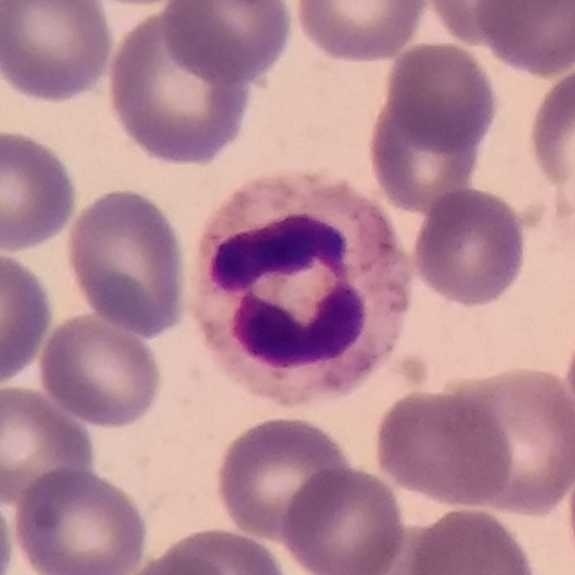 This is a neutrophil granulocyte. Acquisition: Peripheral blood smear.